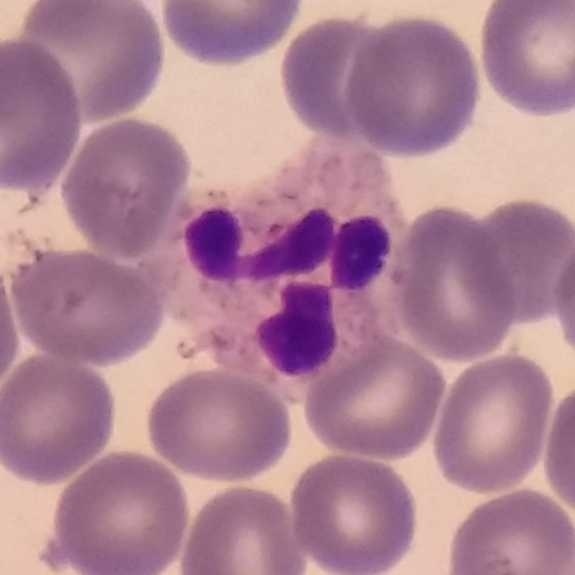

Smartphone camera mounted on the microscope eyepiece · peripheral blood film.
White blood cell type — neutrophilic granulocyte.